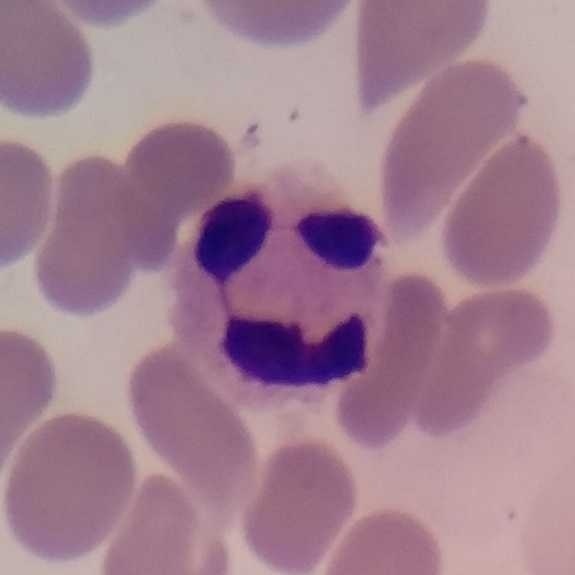Acquisition: Smartphone photomicrograph · peripheral blood smear. Q: Classify this leukocyte.
A: This is a neutrophilic granulocyte.